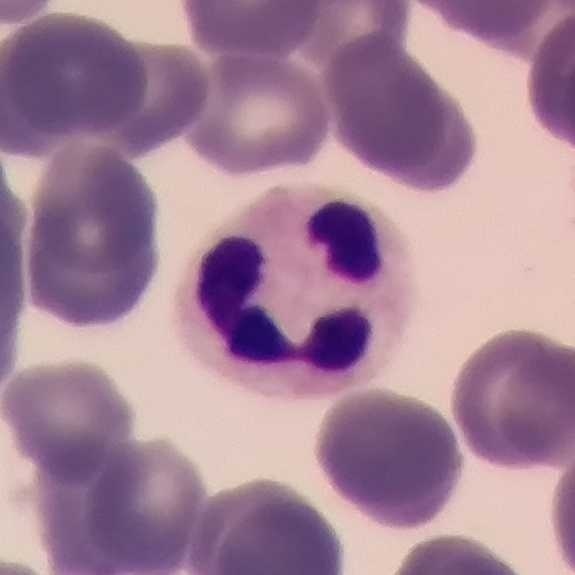
White blood cell type: neutrophilic granulocyte.